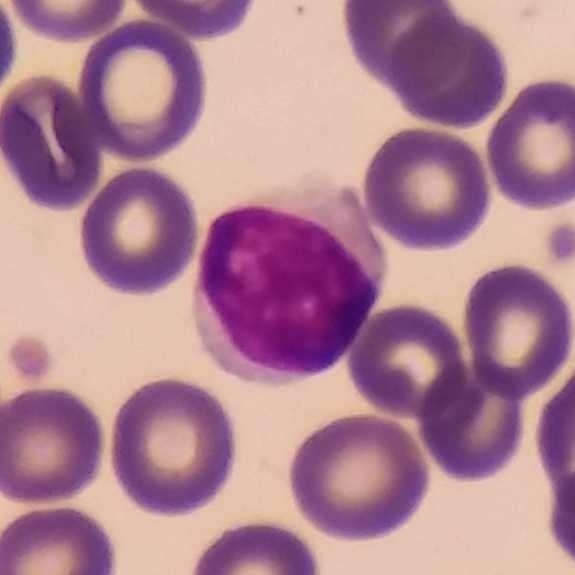
Single cell identified as a lymphocyte.

575 by 575 pixels · peripheral blood smear.